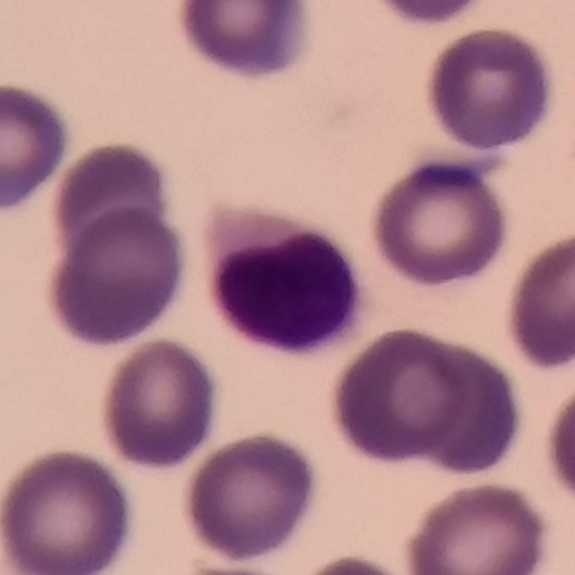

Morphological class — lymphocyte. Peripheral blood film. 100× magnification. 575×575.